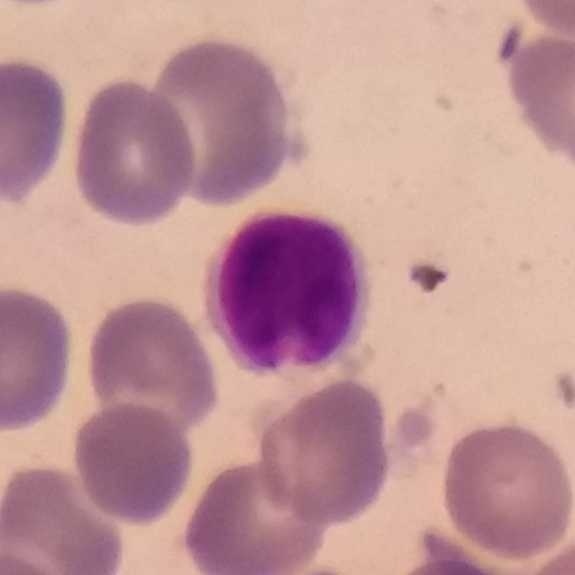 Lymphocyte.

Peripheral blood smear.